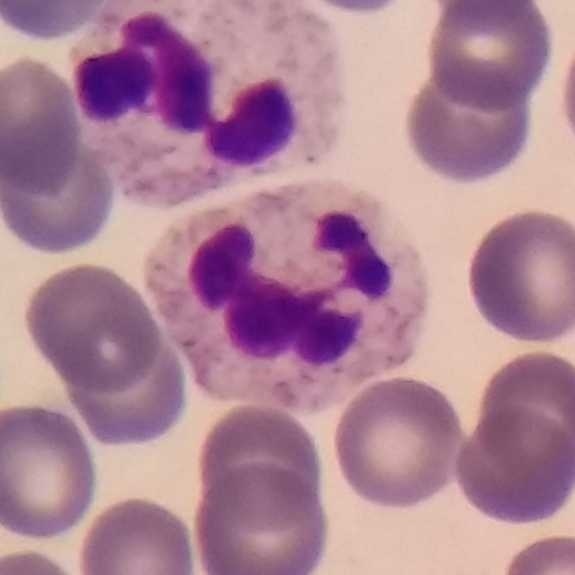Impression → neutrophilic granulocyte.